Peripheral blood film.
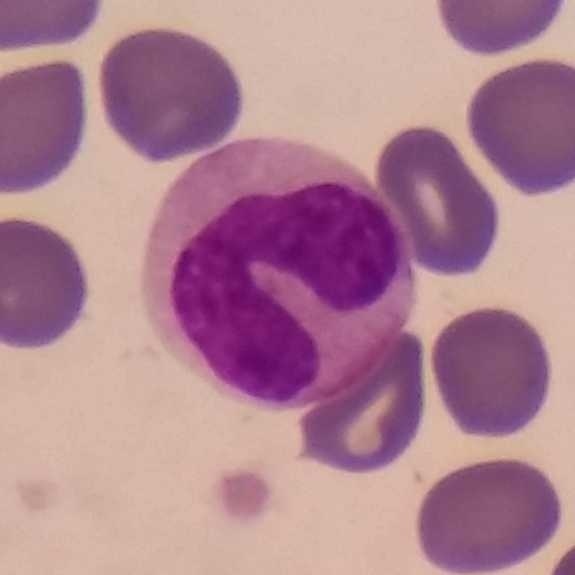
Q: What is this?
A: This is a monocyte.